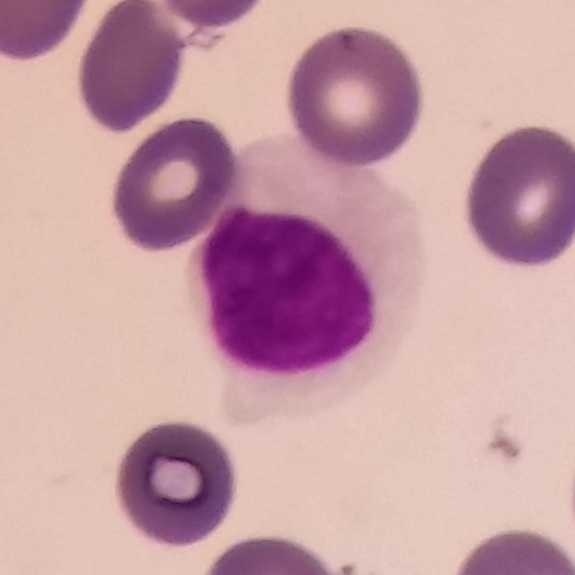

The classification is lymphocyte. Context: Peripheral blood film; imaged at 100×.